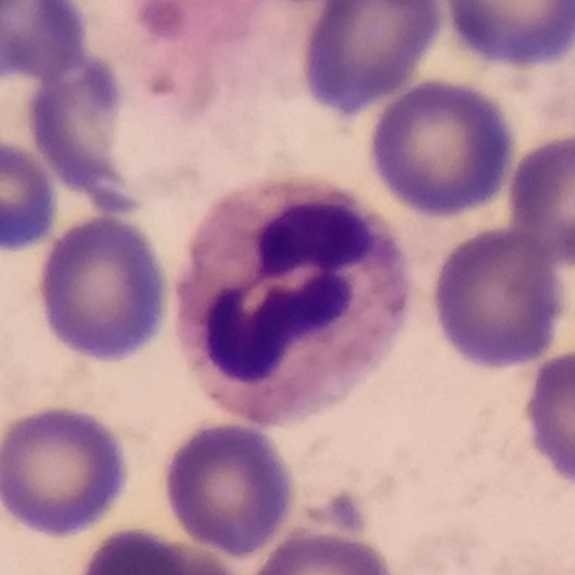
Specimen: peripheral blood film.
Cell: neutrophilic granulocyte.
Lineage: myeloid.